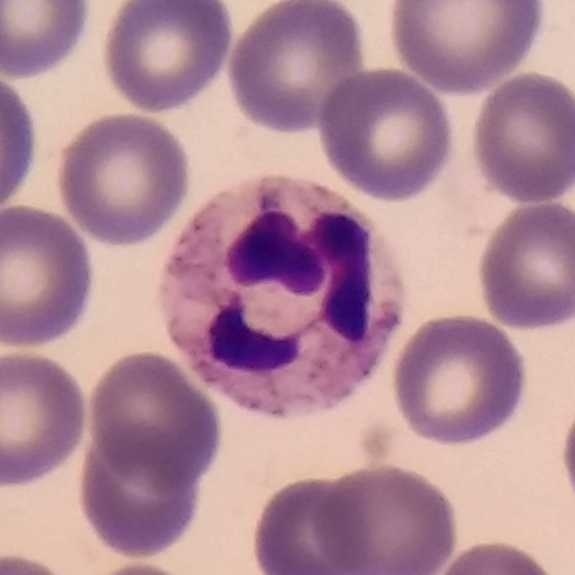 Identified as a neutrophil.
Peripheral blood smear.